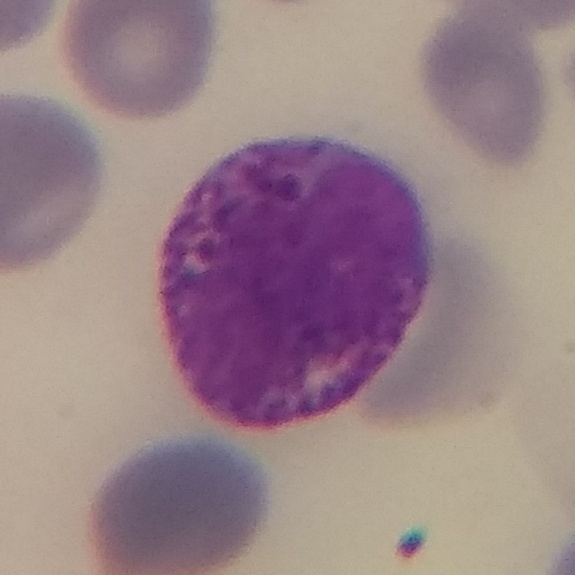

Morphology consistent with a basophil.
Peripheral blood film.